Phone-camera image taken through the microscope ocular. Peripheral blood film. 100× magnification: 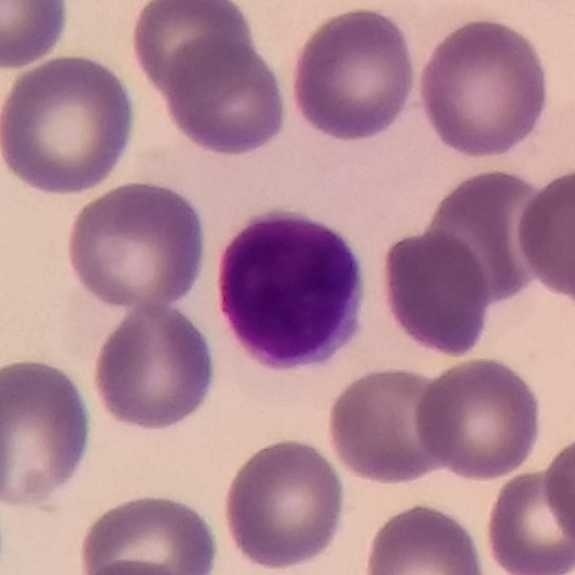

Classification — lymphocyte.